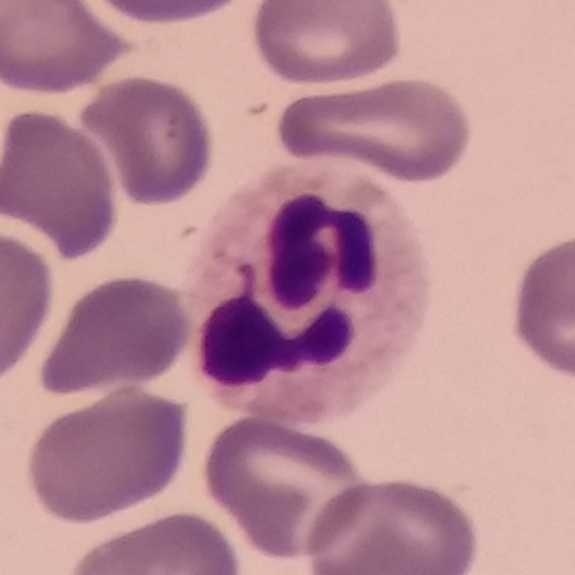Image: Peripheral blood film.

The morphological class is neutrophil granulocyte.